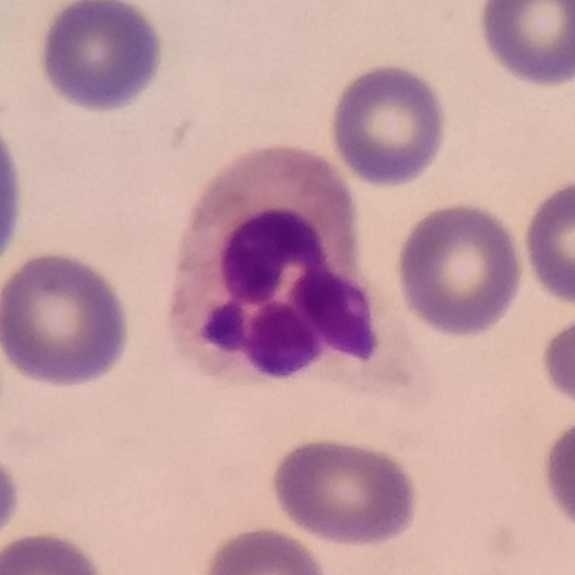 Image: Peripheral blood smear · photographed through a light microscope with a smartphone camera · stained with Giemsa.

Morphology — neutrophilic granulocyte.